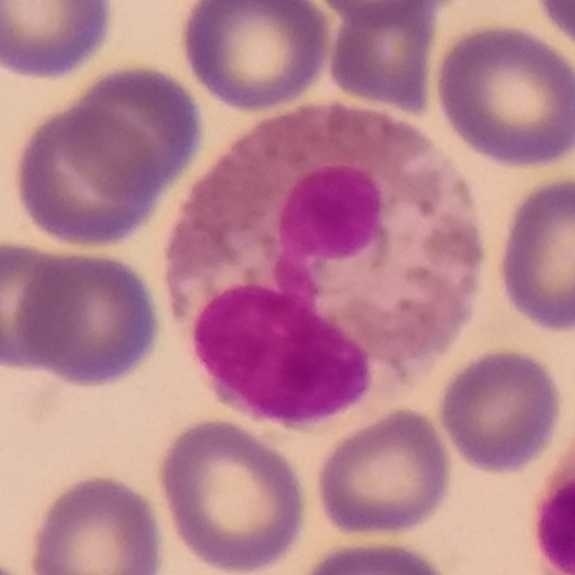Specimen: peripheral blood smear.
Classification: eosinophil.
Lineage: myeloid.